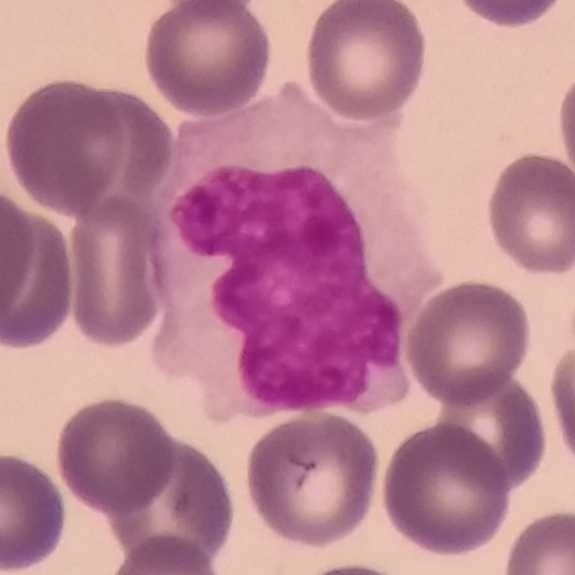

Specimen: peripheral blood film.
White blood cell type: monocyte.
Lineage: myeloid.